Giemsa stain. Peripheral blood smear.
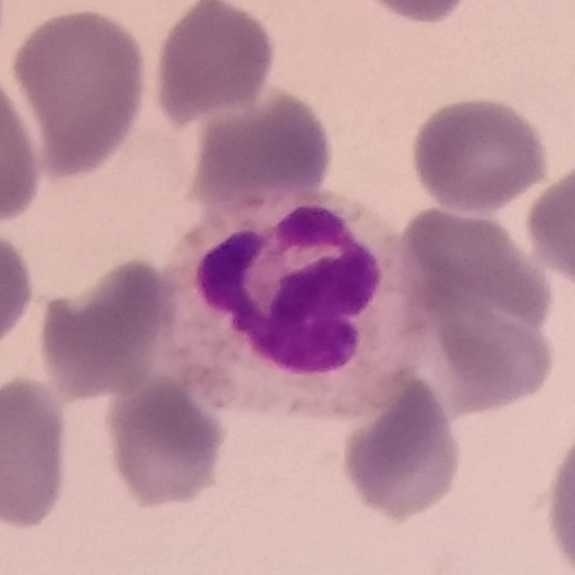Identified as a neutrophil.